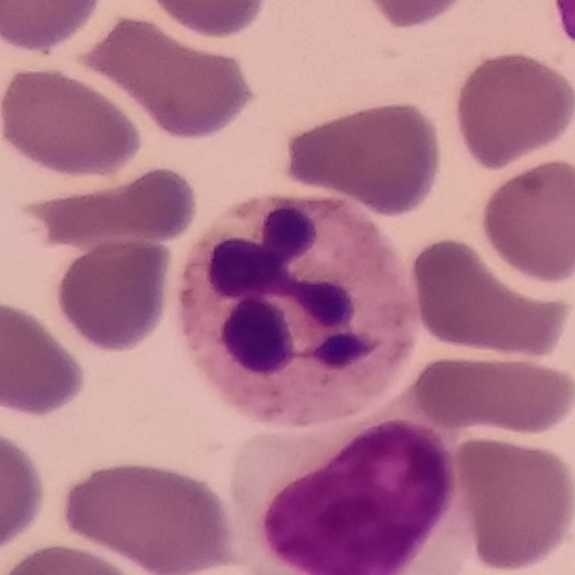 Q: Which type of white blood cell is this?
A: A neutrophil granulocyte.